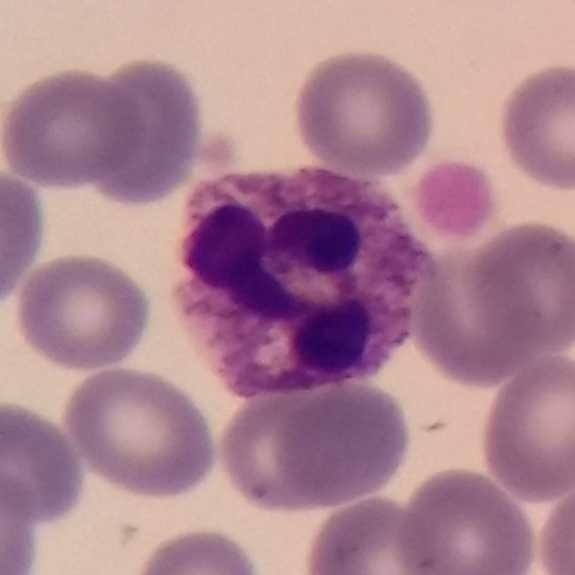 The cell shown is a neutrophilic granulocyte.